Peripheral blood film; single white blood cell cropped from the smear photograph: 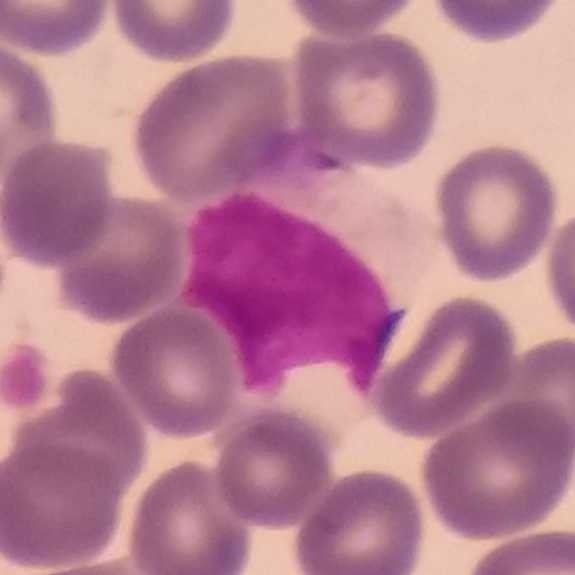
Q: What is the morphological classification of this cell?
A: It is a lymphocyte.